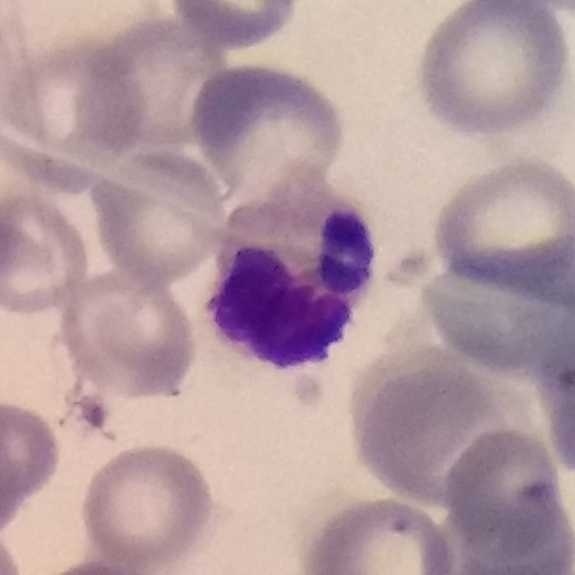

Classification: neutrophilic granulocyte.